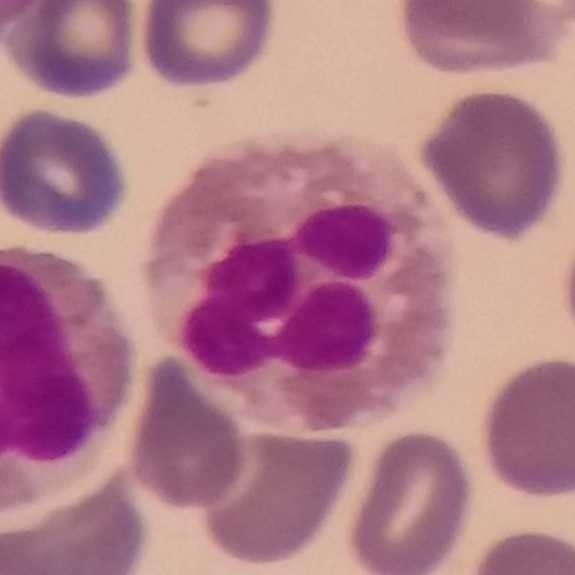Preparation: Peripheral blood smear.
Q: What cell is this?
A: This is an eosinophil.